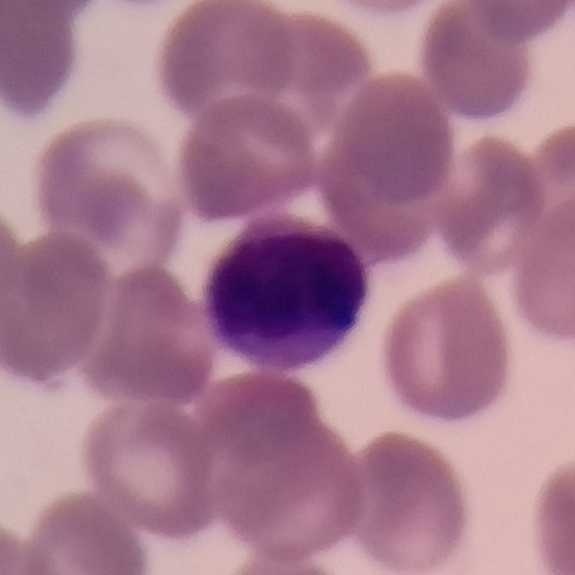Impression → lymphocyte.